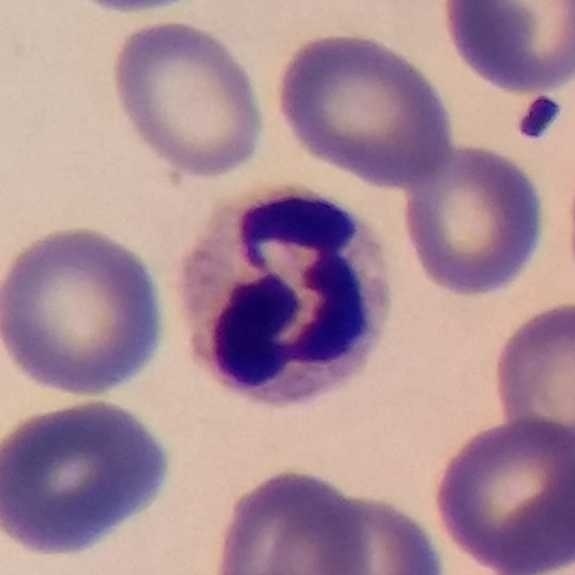
{"cell_type": "neutrophil granulocyte", "lineage": "myeloid"} Context: Cropped to one leukocyte · Giemsa stain · peripheral blood smear.